Peripheral blood smear.
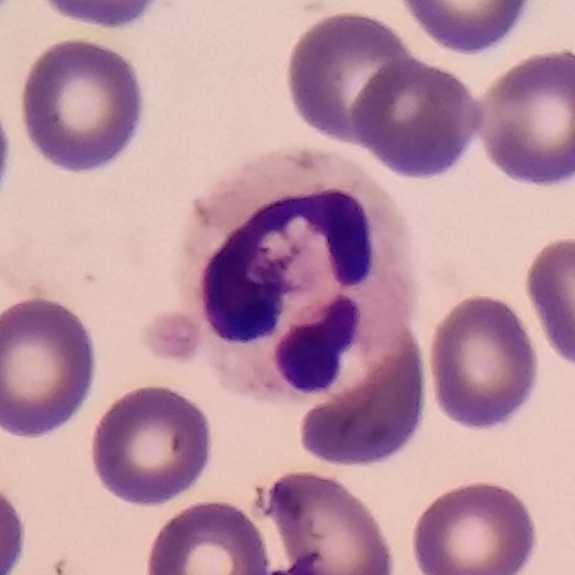 Q: Which type of white blood cell is this?
A: This is a neutrophil.